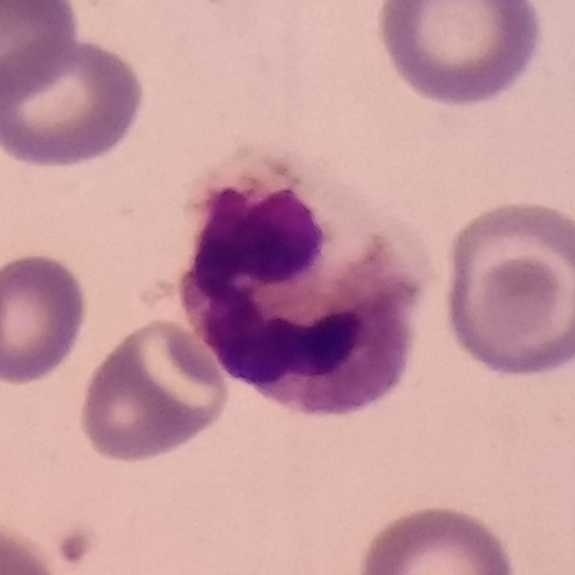Peripheral blood film; magnification 100×; 575×575 px.

Identified as a neutrophilic granulocyte.